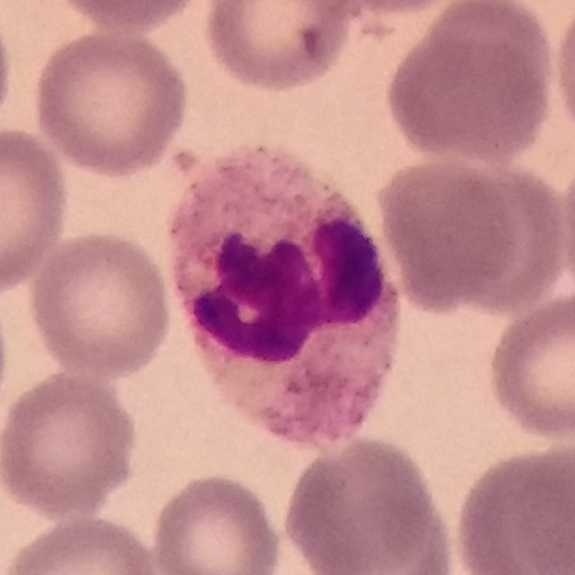 Q: What is shown here?
A: Neutrophil.